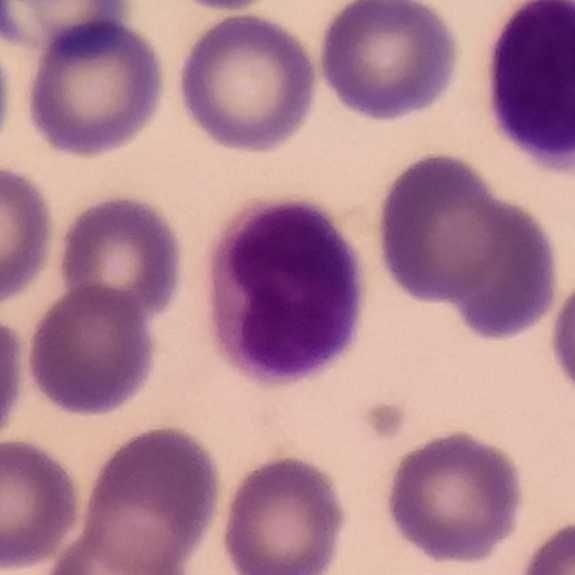Identified as a lymphocyte.
Image: Peripheral blood film.